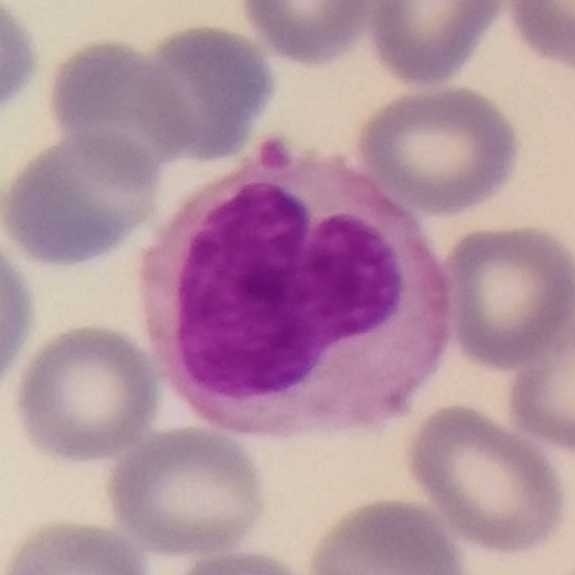Context: Peripheral blood smear.
White blood cell type: monocyte.